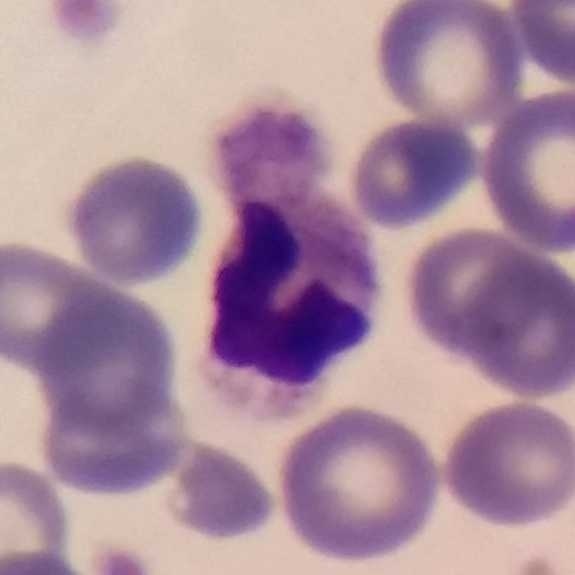

Peripheral blood smear. Impression → neutrophilic granulocyte.